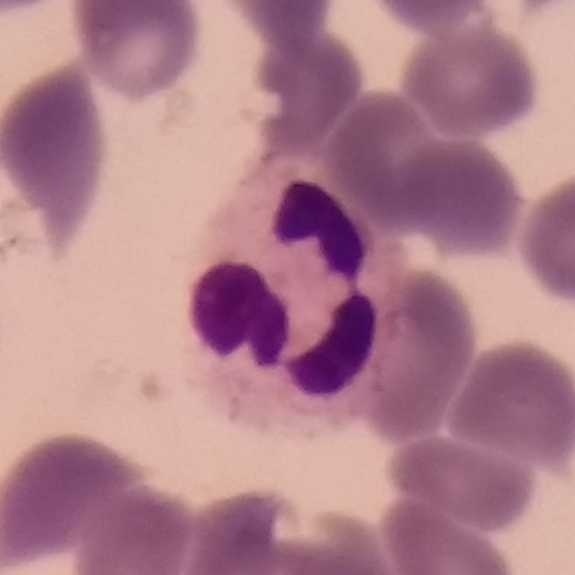Acquisition: Peripheral blood film.
{"cell_type": "neutrophil", "lineage": "myeloid"}